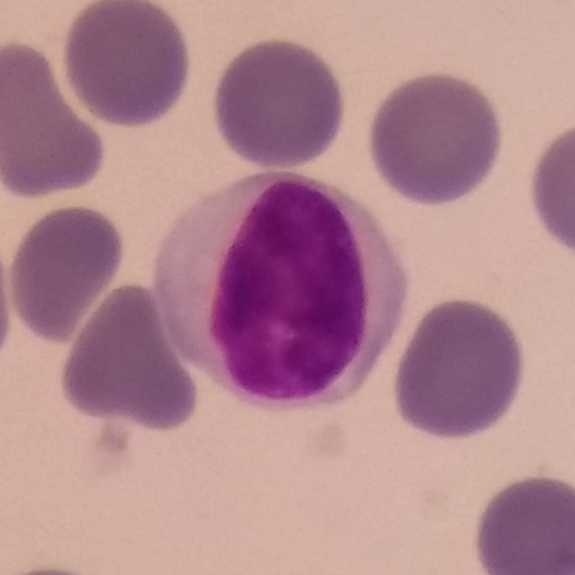 Single cell identified as a lymphocyte.